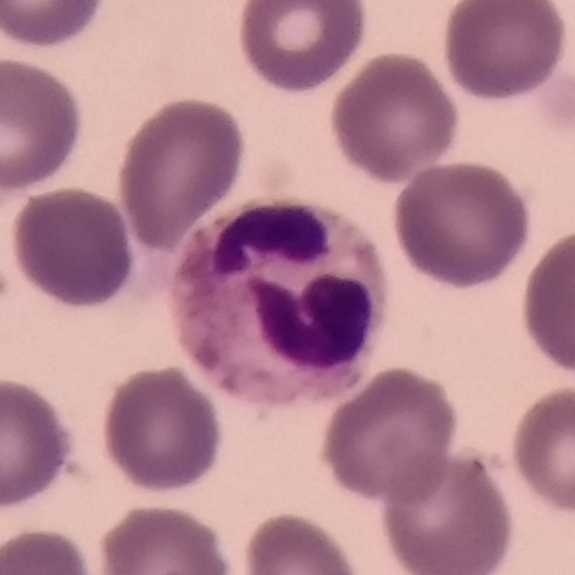
Q: Which cell type is shown here?
A: A neutrophilic granulocyte.